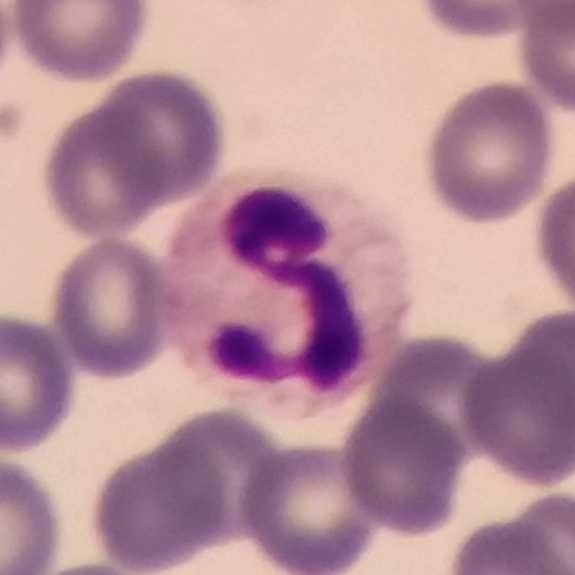
Classification: neutrophilic granulocyte.